Peripheral blood film · image size 575×575 · Giemsa stain.
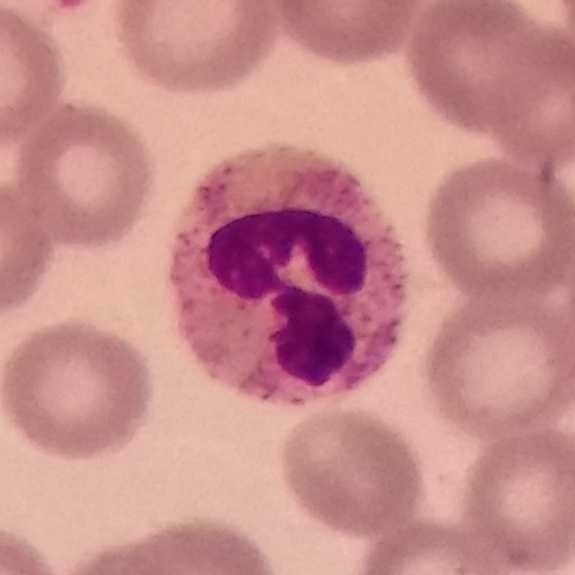Identified as a neutrophil granulocyte.